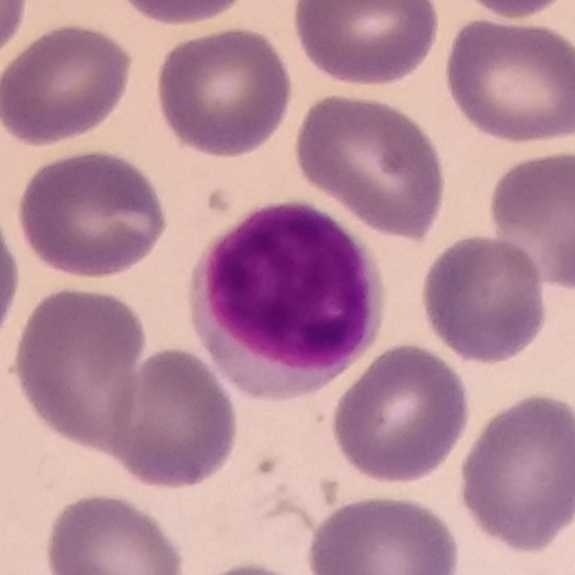White blood cell type = lymphocyte.
Acquisition: Stained with Giemsa · peripheral blood smear.